Peripheral blood smear.
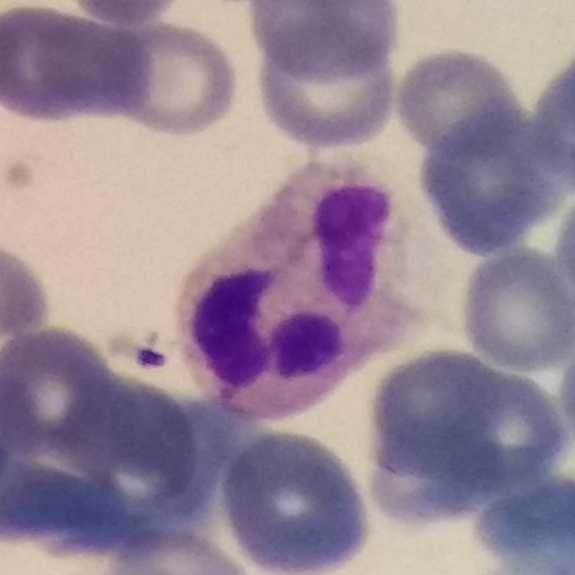 Q: Identify the cell.
A: This is a neutrophilic granulocyte.